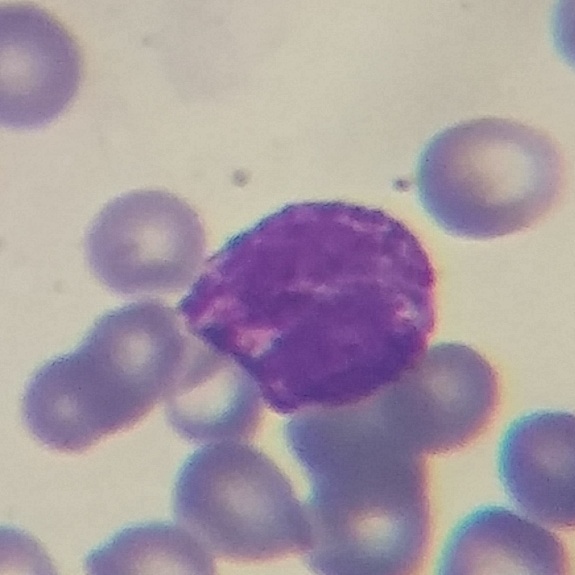
575×575; peripheral blood film; smartphone camera mounted on the microscope eyepiece.

Showing a basophil.